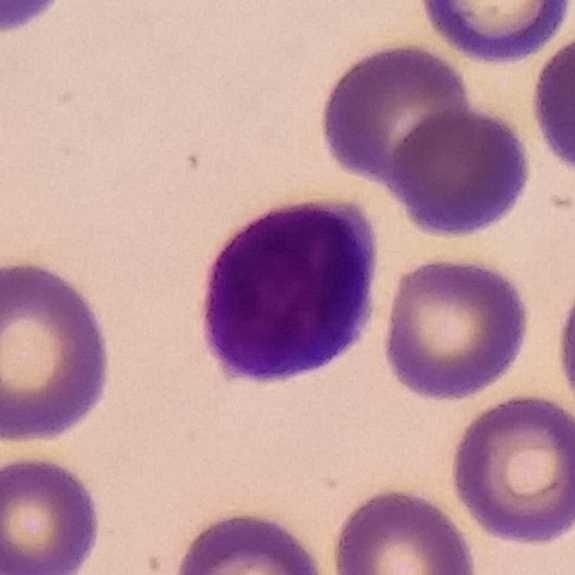Showing a lymphocyte.

Image: Single-cell field. Giemsa-stained. Peripheral blood film.